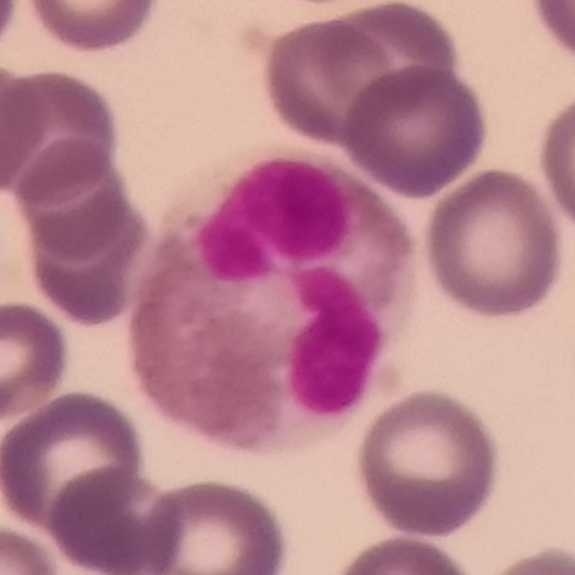
Q: What is shown here?
A: This is an eosinophil.